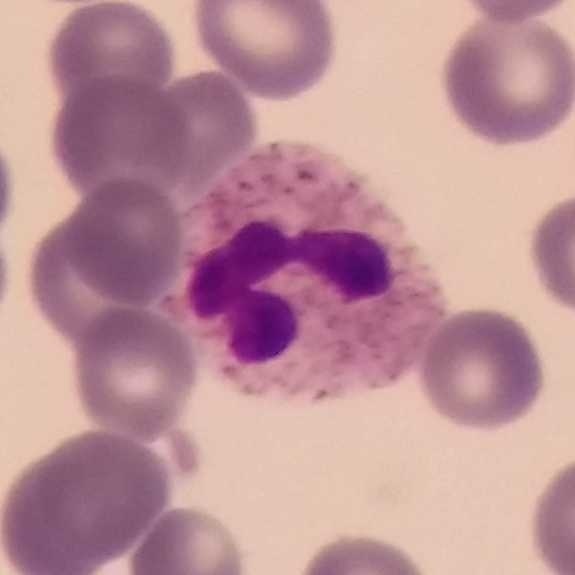

Acquisition: Peripheral blood film. Cell type: neutrophil.